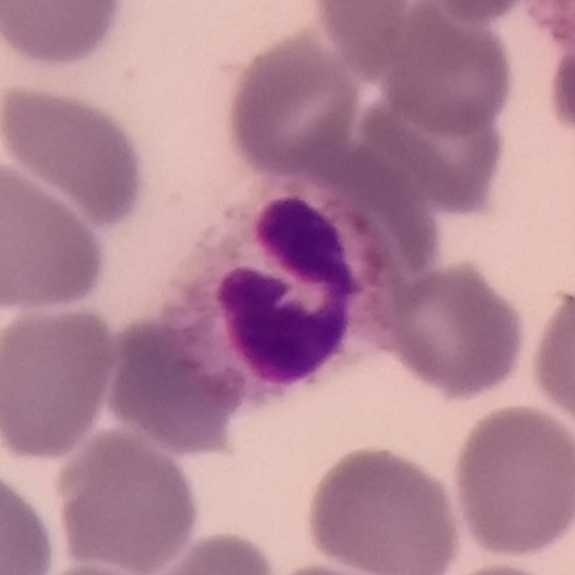

Q: What type of cell is this?
A: It is a neutrophil granulocyte.